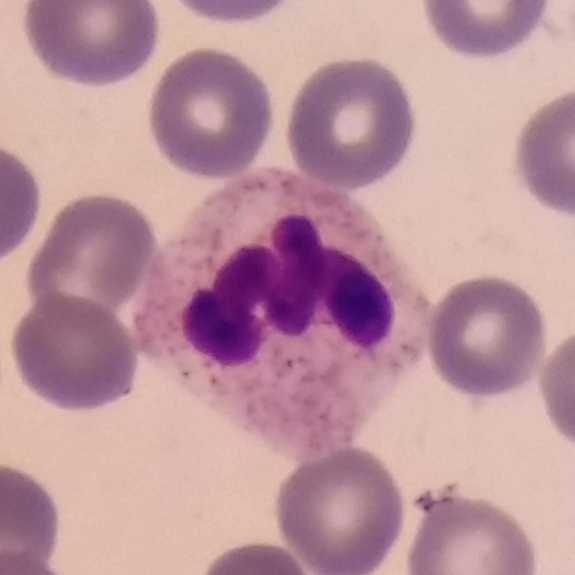Specimen: peripheral blood film.
Morphological class: neutrophil.
Lineage: myeloid.